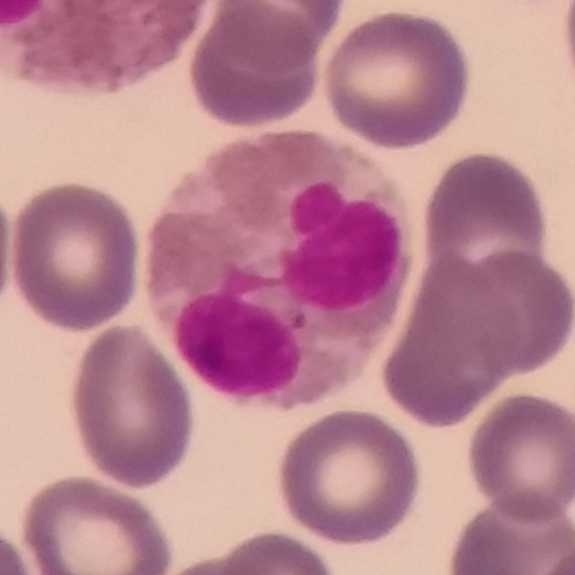The morphological class is eosinophilic granulocyte.
Preparation: 575×575 px; single white blood cell cropped from the smear photograph; peripheral blood film.